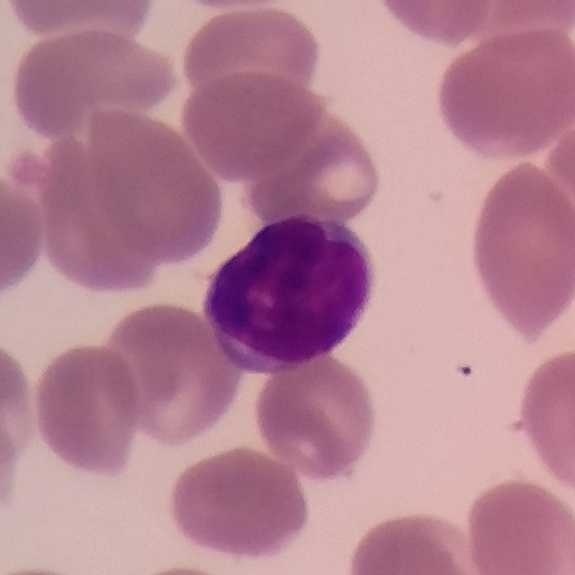{"cell_type": "lymphocyte", "lineage": "lymphoid"}